Peripheral blood film.
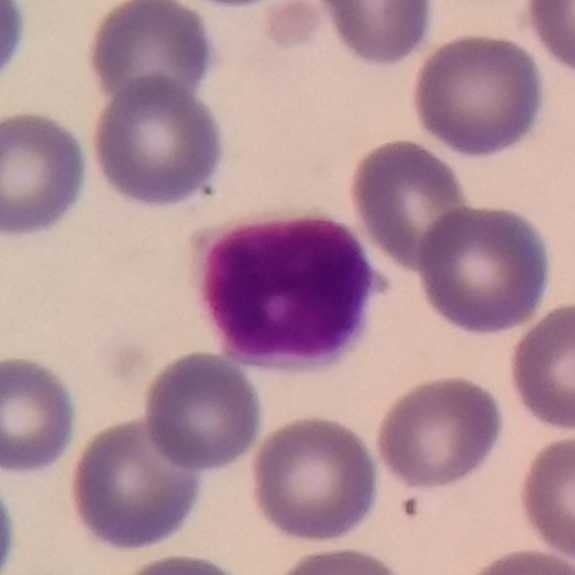 Specimen: peripheral blood film.
Morphological class: lymphocyte.